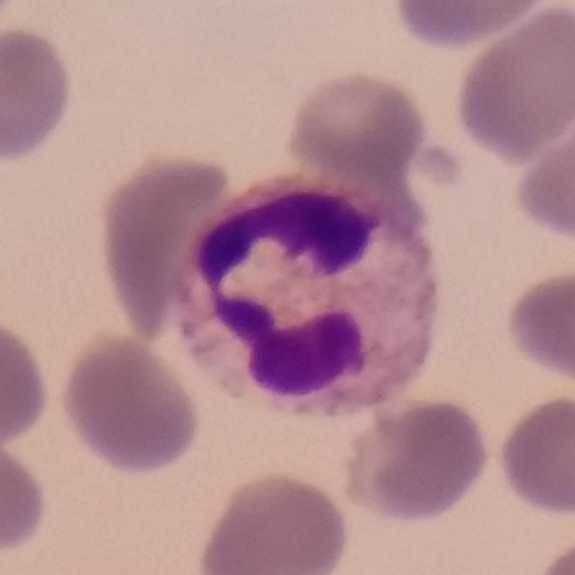The cell shown is a neutrophil granulocyte.

Context: Giemsa-stained · image size 575×575 · peripheral blood smear.